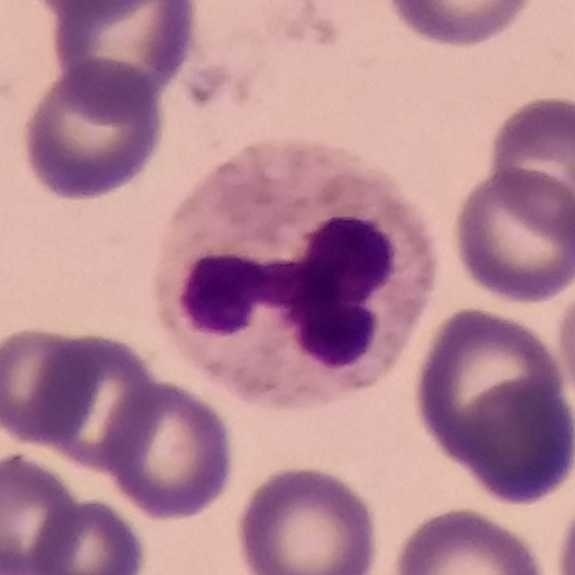 Peripheral blood smear. 575×575.

Identified as a neutrophil.